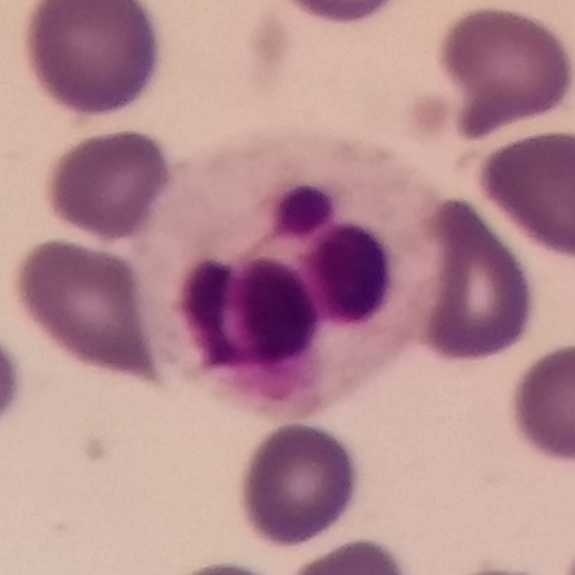White blood cell from a peripheral blood smear: neutrophil granulocyte.